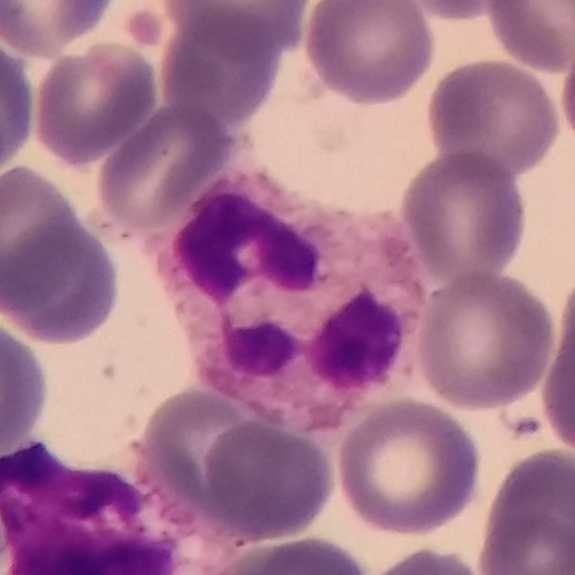

Morphology — neutrophilic granulocyte.